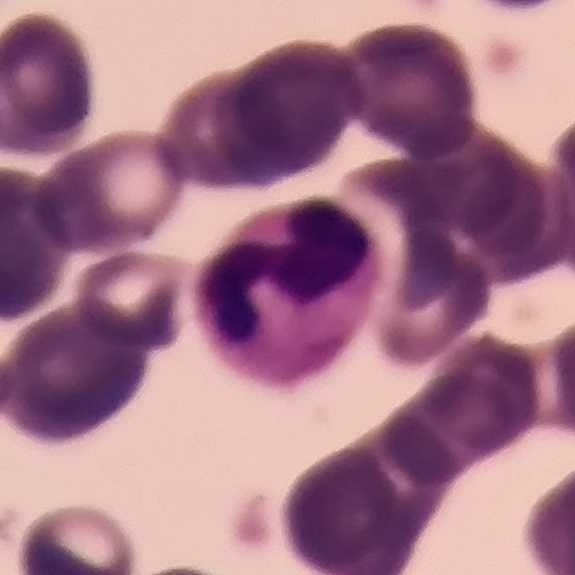

Specimen: peripheral blood smear.
Cell type: neutrophil granulocyte.